Peripheral blood smear; magnification 100×.
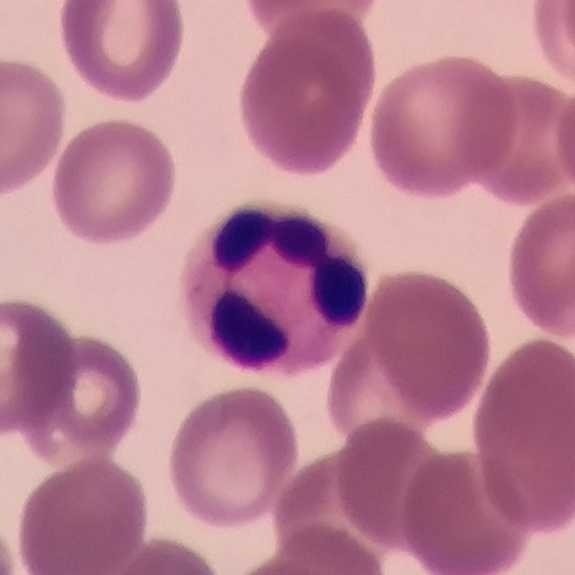
Identified as a neutrophil.